Peripheral blood smear: 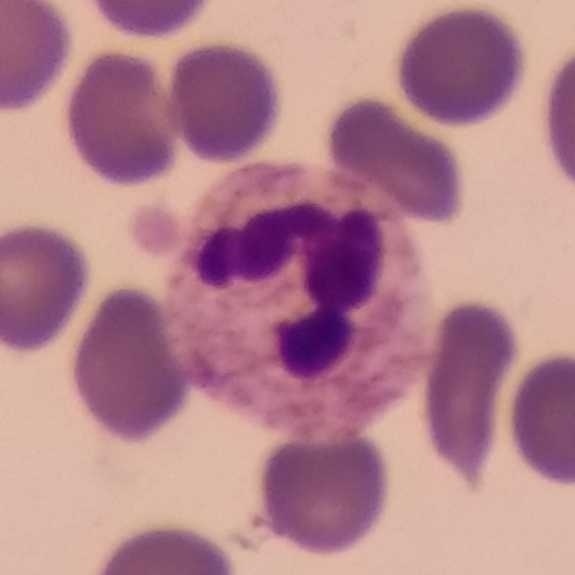
Specimen: peripheral blood film.
Morphological class: neutrophil.
Lineage: myeloid.